Single-cell field · smartphone photomicrograph · peripheral blood film — 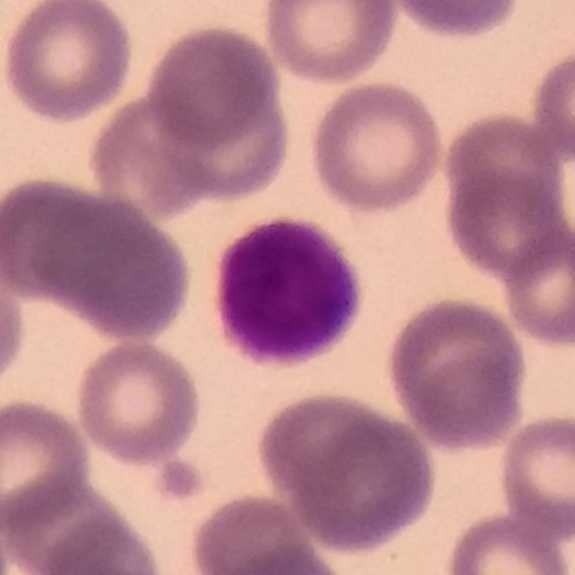
The classification is lymphocyte.